Peripheral blood film.
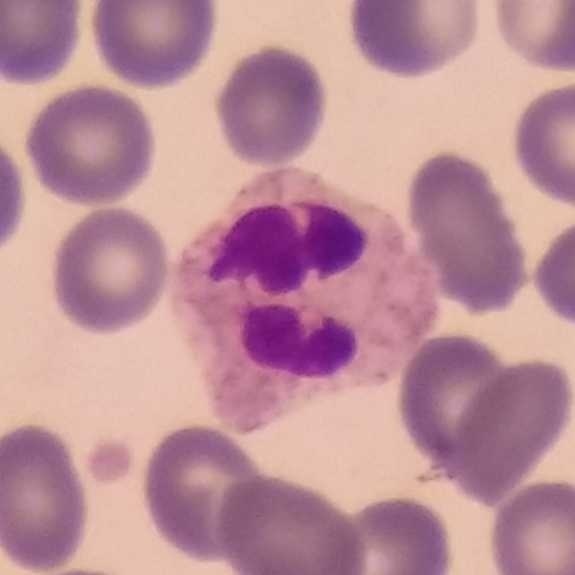
Q: What is this?
A: A neutrophil granulocyte.